Giemsa stain; peripheral blood film.
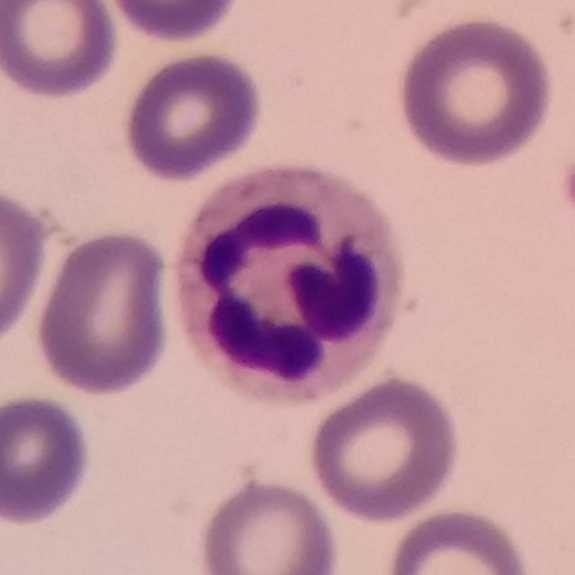 The classification is neutrophil.